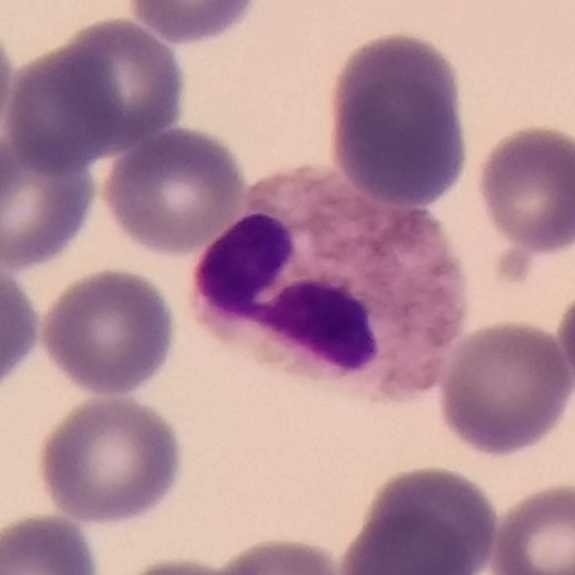Preparation: Peripheral blood smear.

Cell type: neutrophil.